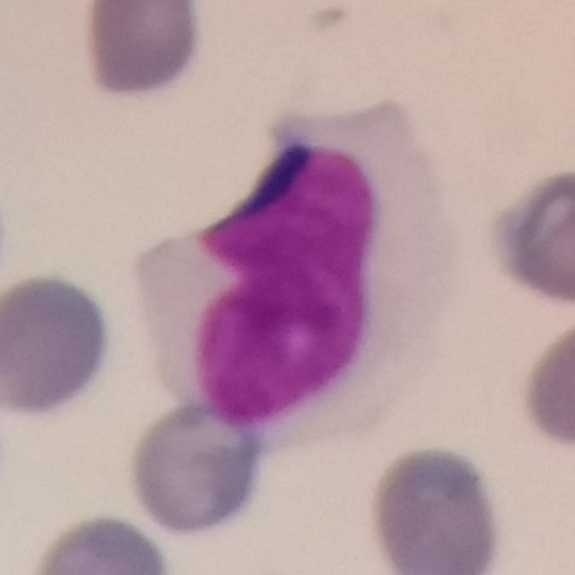
{"cell_type": "monocyte", "lineage": "myeloid"}
Image: Peripheral blood film.